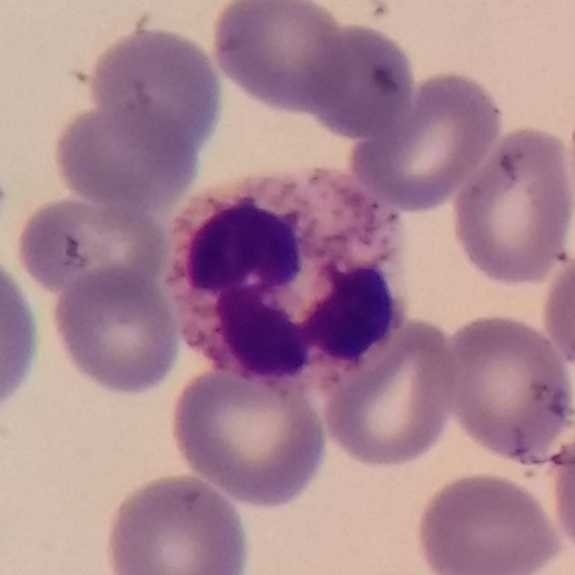Cell = neutrophilic granulocyte. Peripheral blood smear.